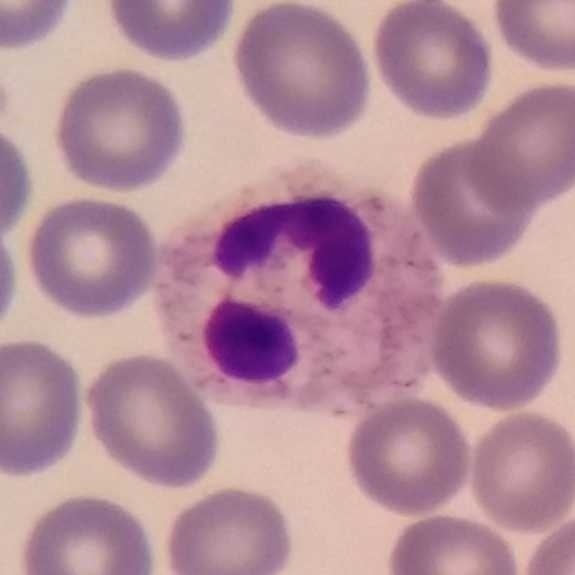

Image: Peripheral blood smear.
Q: Classify this leukocyte.
A: It is a neutrophil.